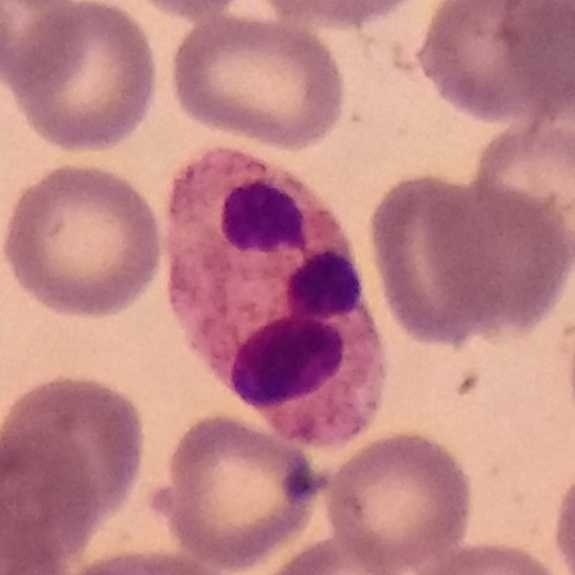 Peripheral blood film.
White blood cell type — neutrophil.